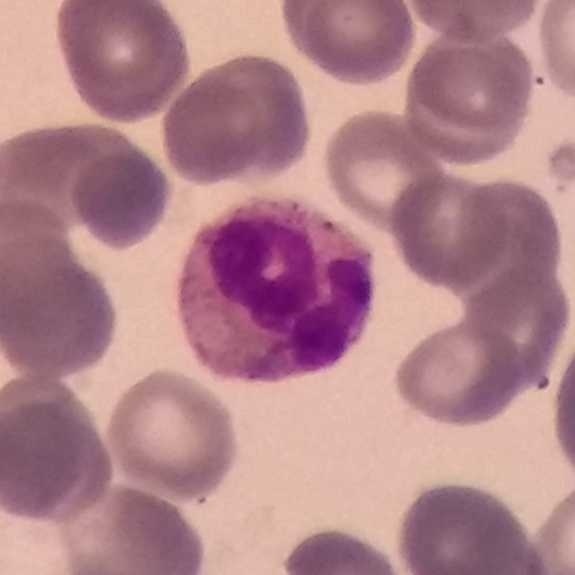

Morphology consistent with a neutrophil.